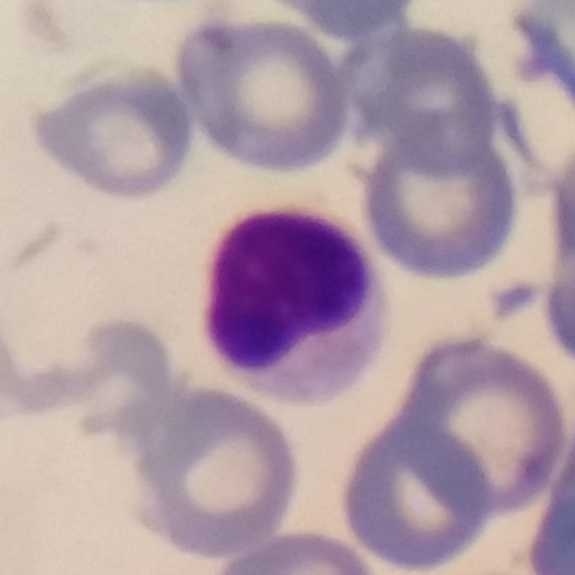

Image: Peripheral blood smear. Giemsa-stained. Smartphone camera mounted on the microscope eyepiece.
Q: What is the morphological classification of this cell?
A: It is a lymphocyte.